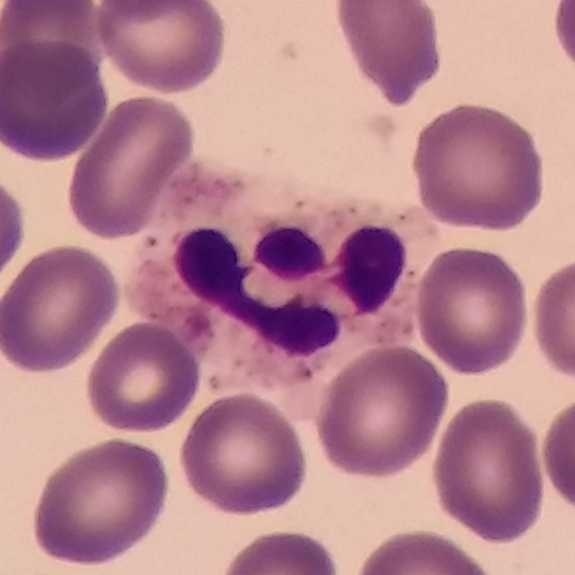Acquisition: Peripheral blood film; smartphone photomicrograph. Morphological class: neutrophil.